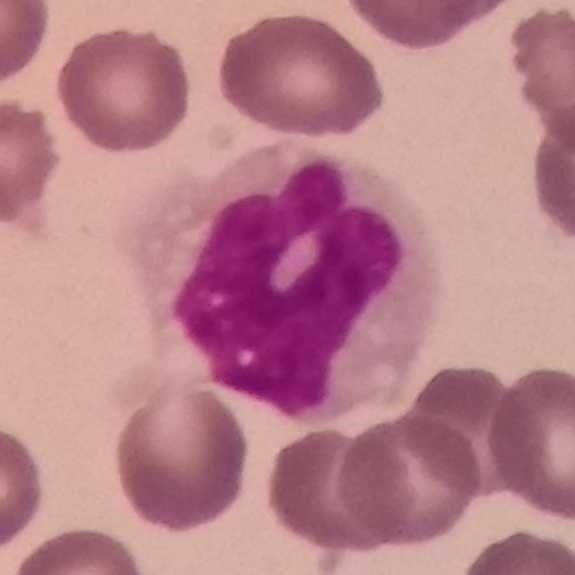 Context: Peripheral blood smear.
Morphology — monocyte.